Peripheral blood smear — 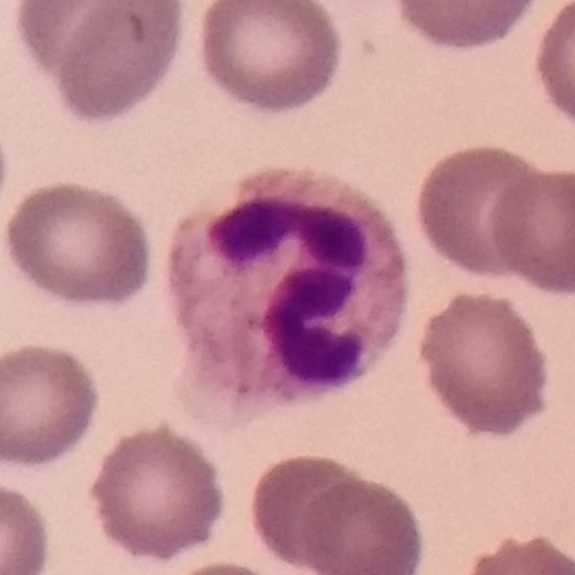

Specimen: peripheral blood smear.
White blood cell type: neutrophil.
Lineage: myeloid.